Peripheral blood film: 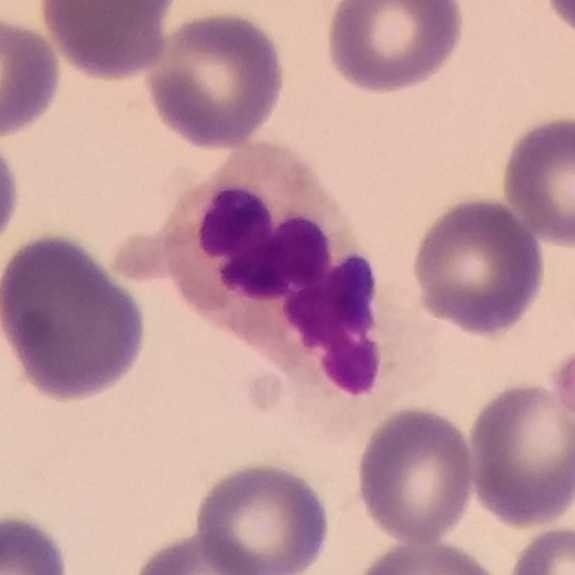 The cell shown is a neutrophil granulocyte.